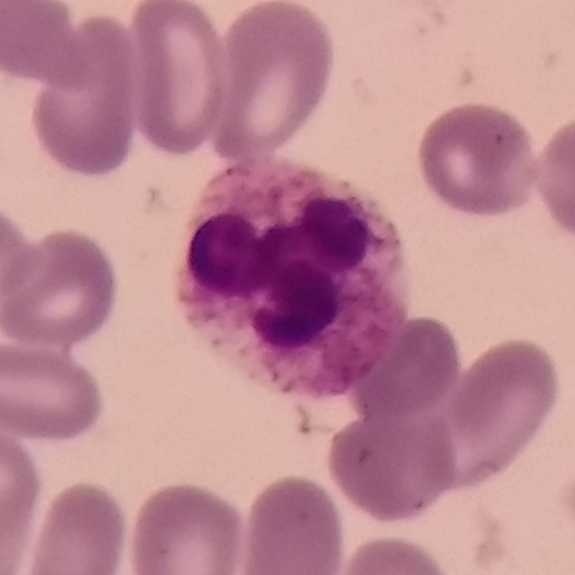
Preparation: Peripheral blood smear.

Q: Which cell type is shown here?
A: This is a neutrophil granulocyte.